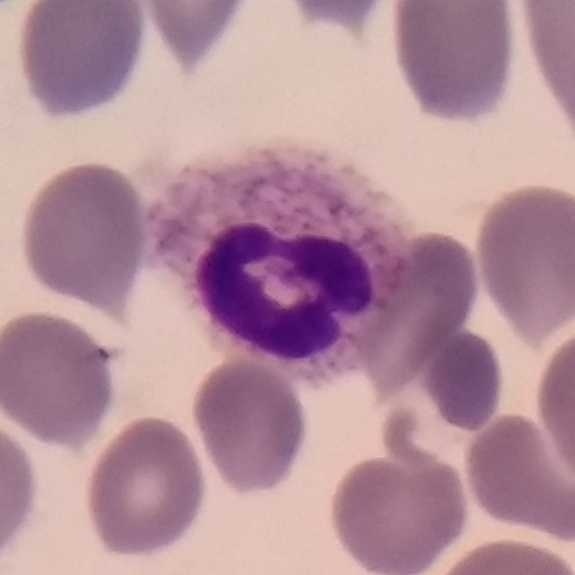Peripheral blood smear.
Single cell identified as a neutrophil.